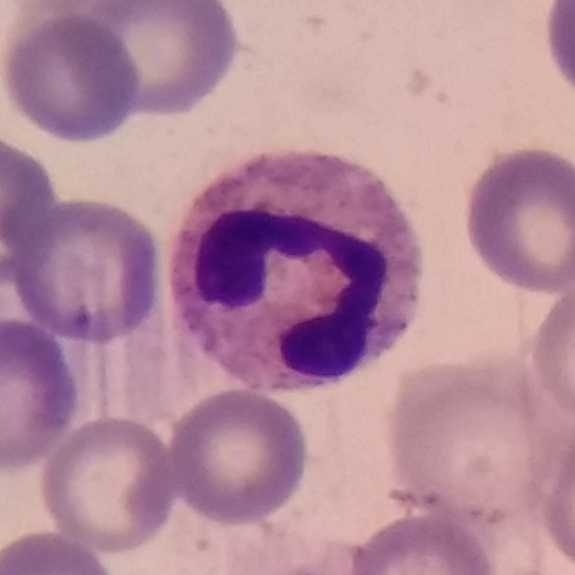

{"cell_type": "neutrophilic granulocyte", "lineage": "myeloid"}